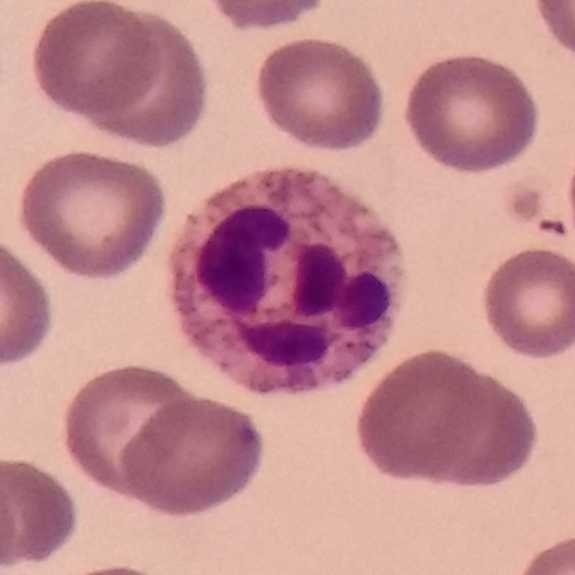 Morphology consistent with a neutrophil.

Preparation: Peripheral blood smear · 100× magnification.